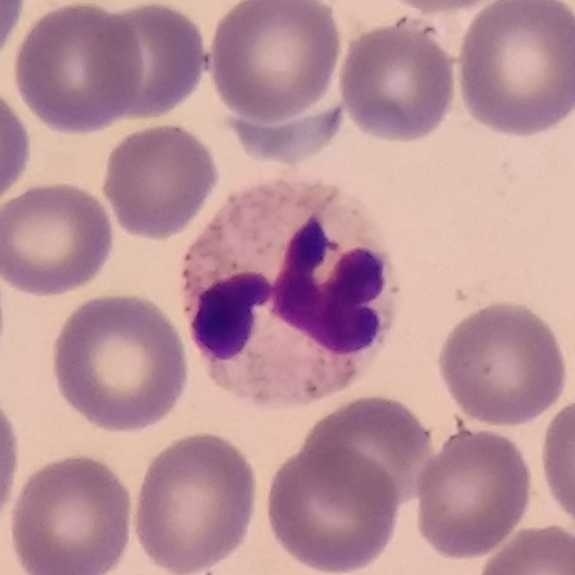
Neutrophil granulocyte.

Context: Peripheral blood smear.